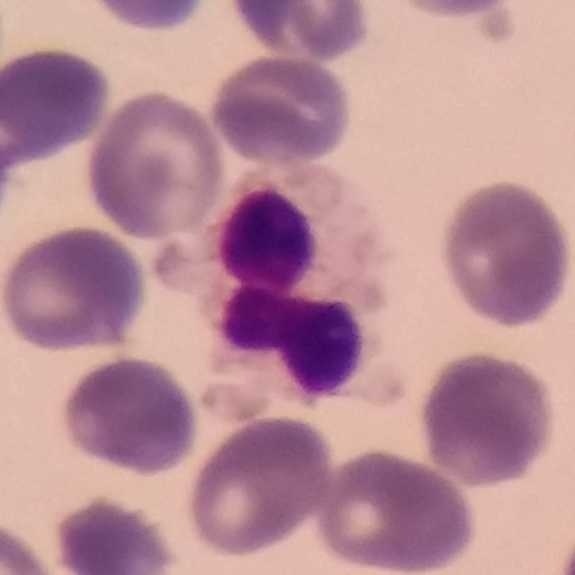

Impression → neutrophil granulocyte.

Preparation: Peripheral blood smear.